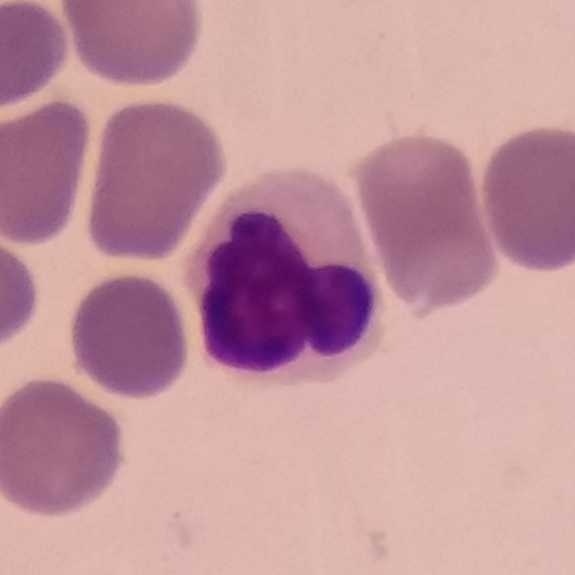Classification = lymphocyte.